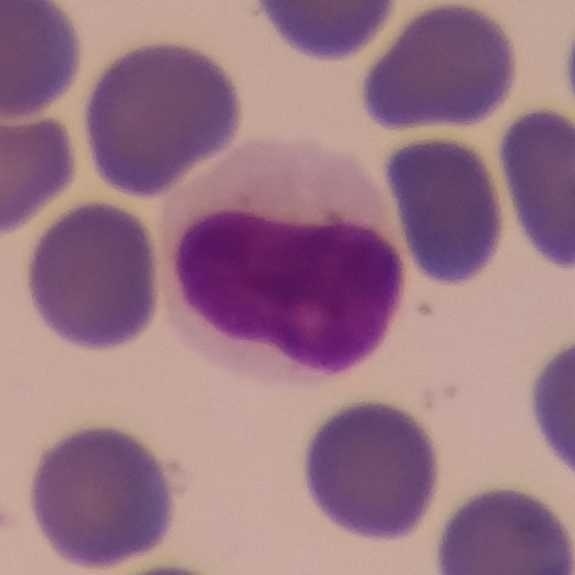
Specimen: peripheral blood film.
Morphological class: lymphocyte.